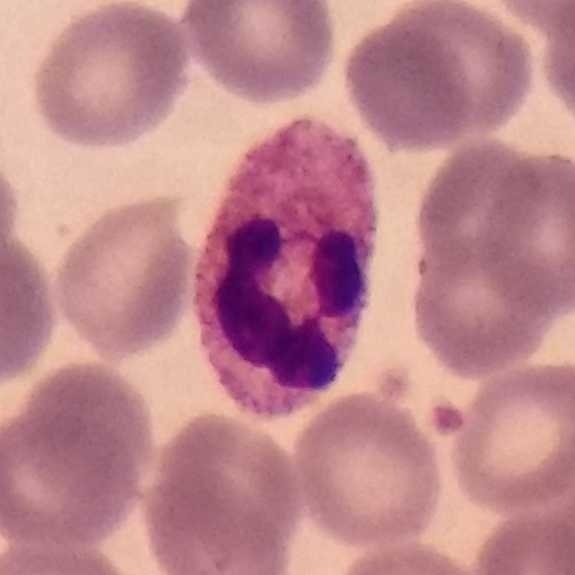

Specimen: peripheral blood smear.
White blood cell type: neutrophil granulocyte.